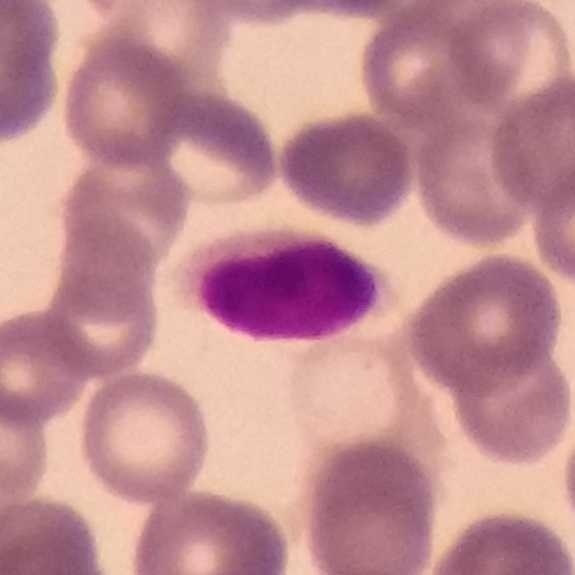Q: What is this?
A: Lymphocyte.
Preparation: Peripheral blood film; 575×575.